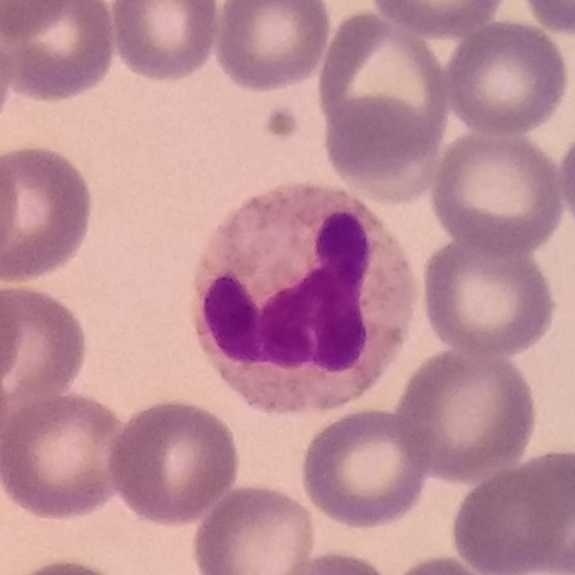
The white blood cell type is neutrophil.
Context: Peripheral blood smear.